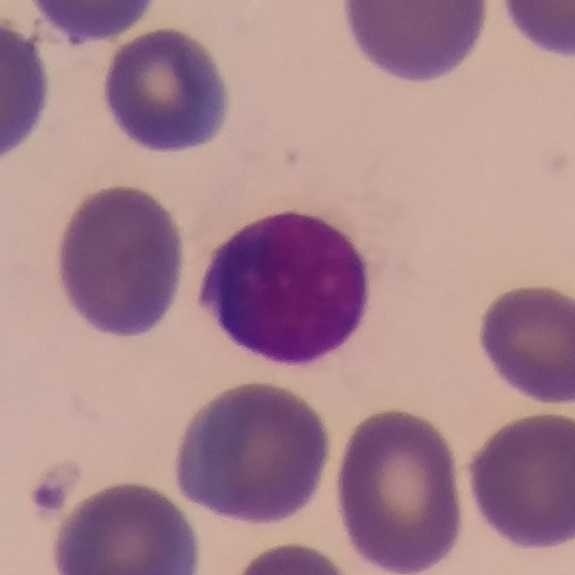Cell type — lymphocyte. Preparation: Peripheral blood film.